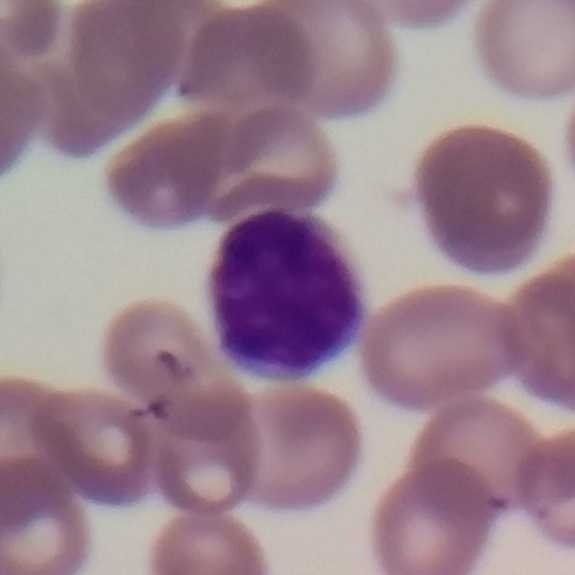
Showing a lymphocyte. Preparation: 100× magnification. Image size 575×575. Peripheral blood film.